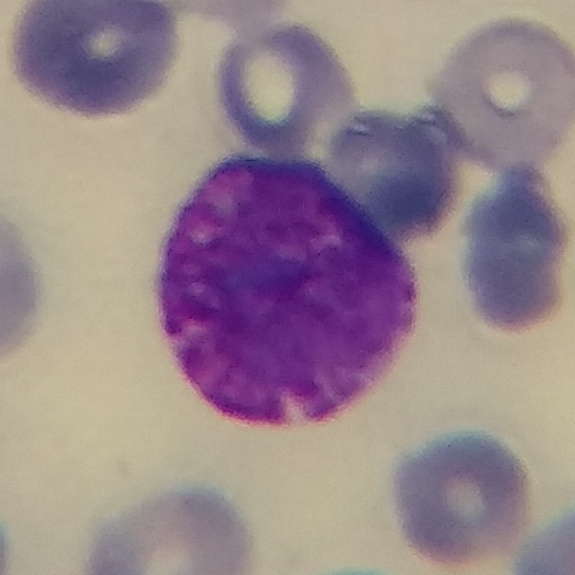 {"cell_type": "basophil", "lineage": "myeloid"}
Image: Peripheral blood film; magnification 100×.